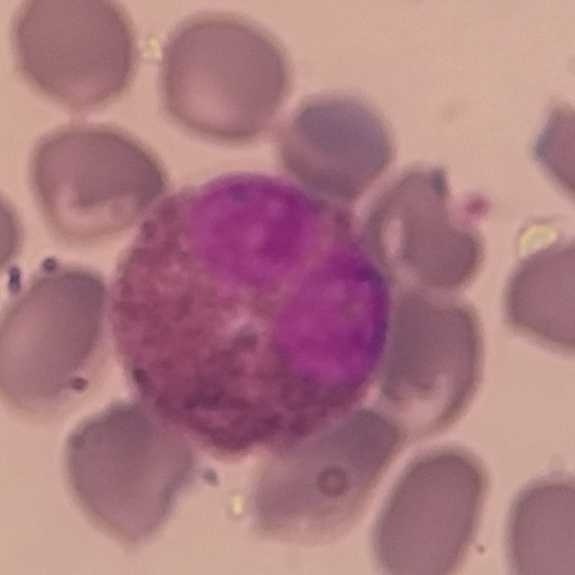 Morphology — eosinophil.